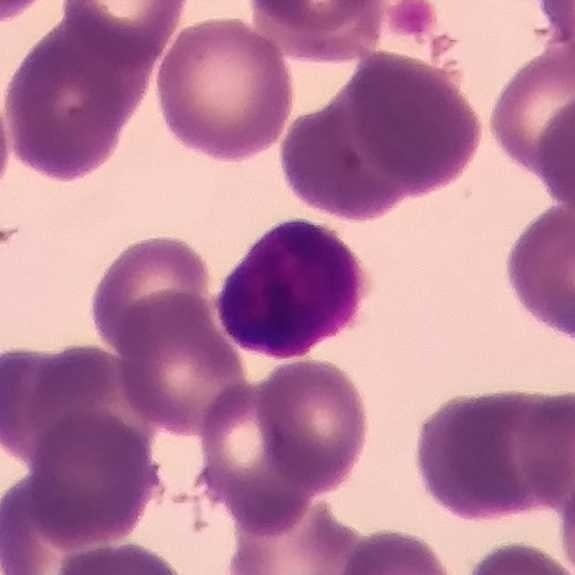 Q: What is this?
A: Lymphocyte. Preparation: Peripheral blood film.